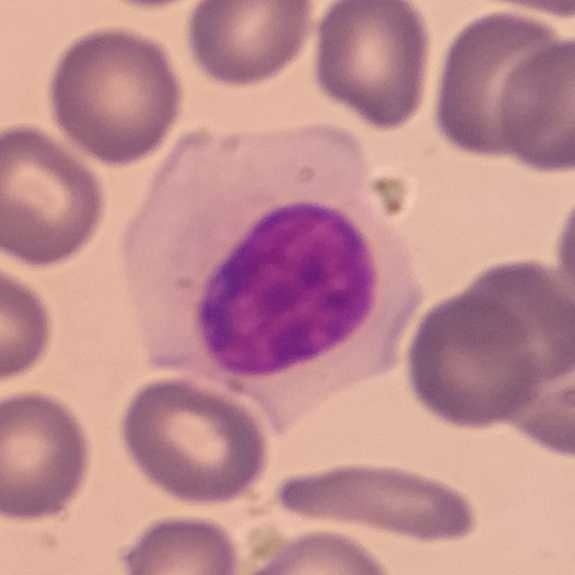Image: Peripheral blood smear.
Cell type = lymphocyte.